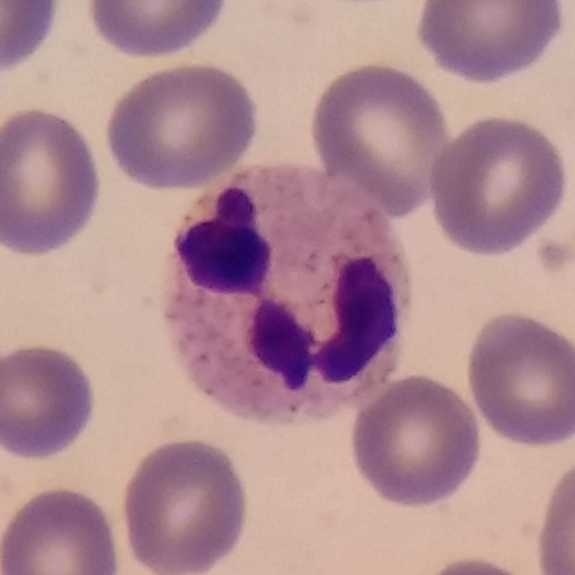The cell shown is a neutrophil granulocyte.

Preparation: Peripheral blood film.